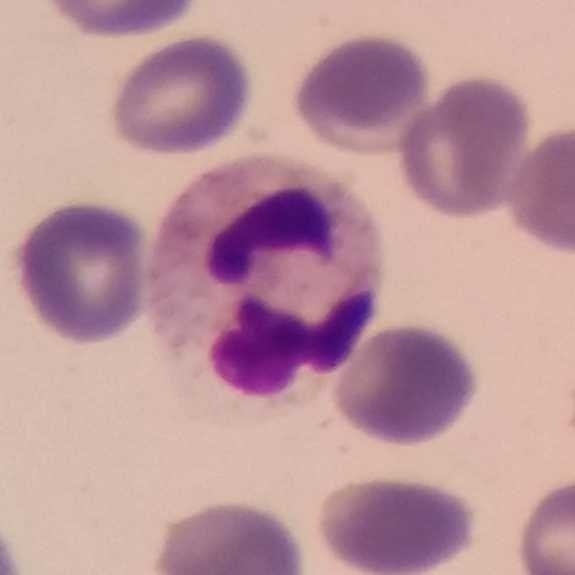 Cell type = neutrophil.

Peripheral blood film.